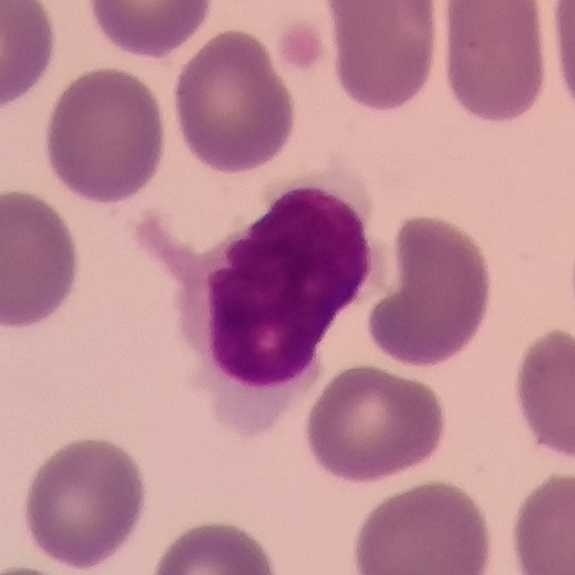 {"cell_type": "lymphocyte"}
Context: Peripheral blood film. Giemsa-stained. 575×575 px.